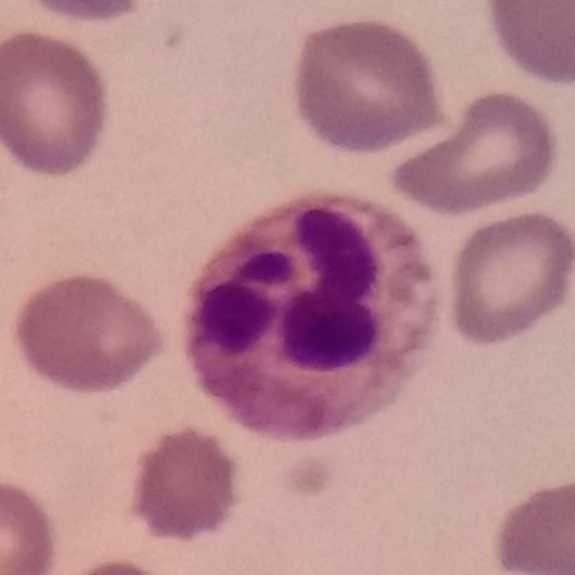

Peripheral blood film; magnification 100×.
Neutrophil.